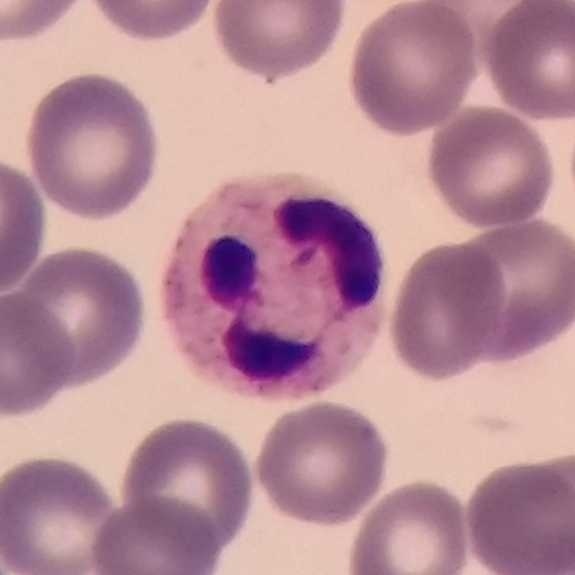 Single cell identified as a neutrophilic granulocyte. Image: 575 by 575 pixels · peripheral blood smear.